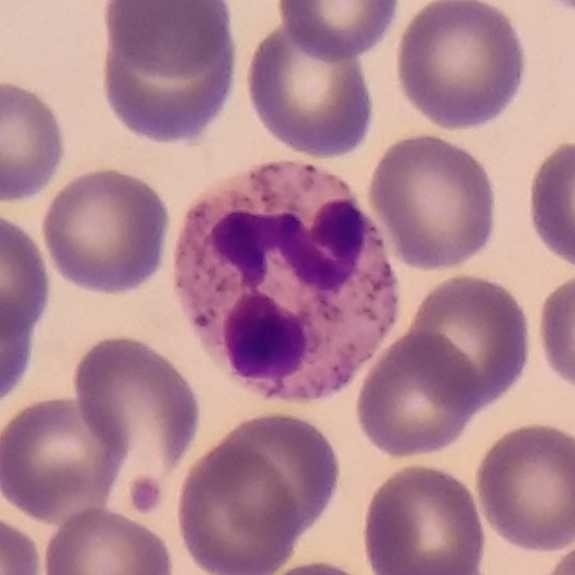

Image: Image size 575×575 · peripheral blood smear.
The white blood cell type is neutrophil.